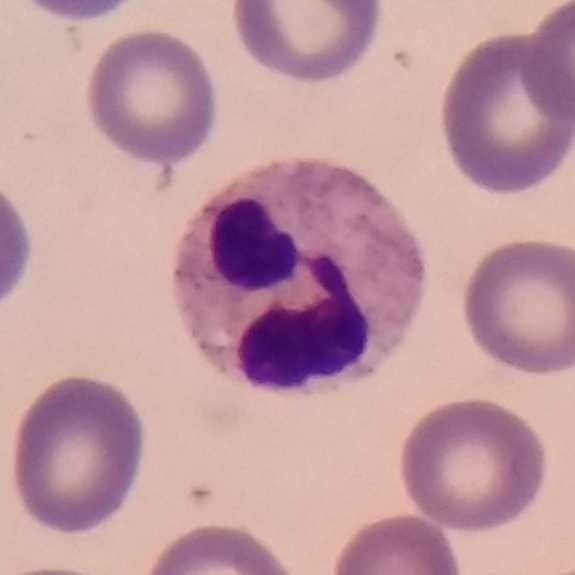
Q: Which cell type is shown here?
A: It is a neutrophil granulocyte.

Preparation: Peripheral blood film.